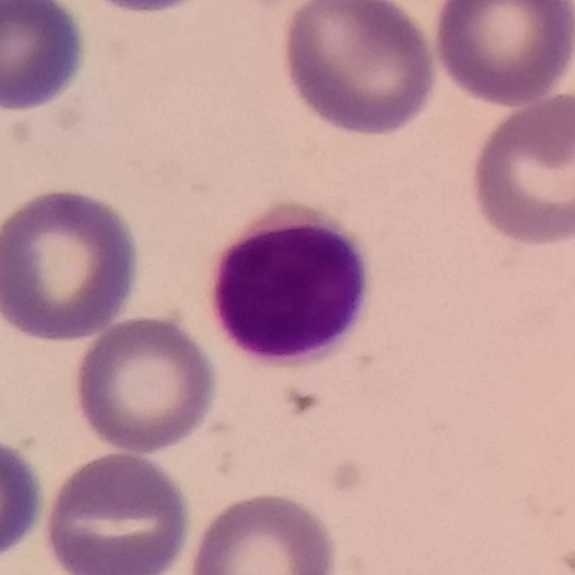
Peripheral blood smear showing a lymphocyte.